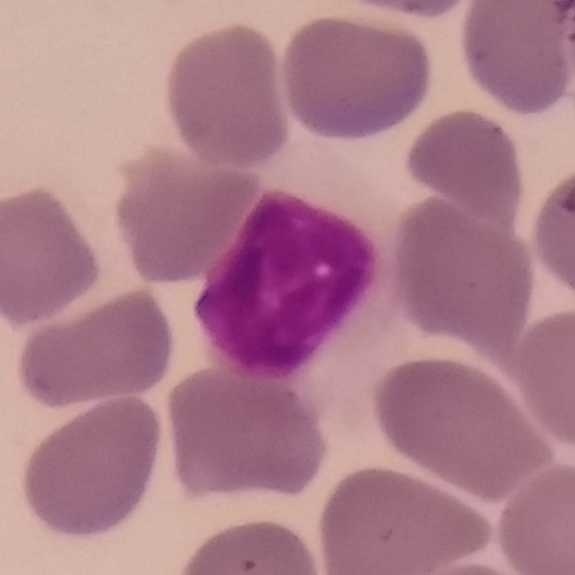

Single-cell crop from a peripheral blood smear: lymphocyte.